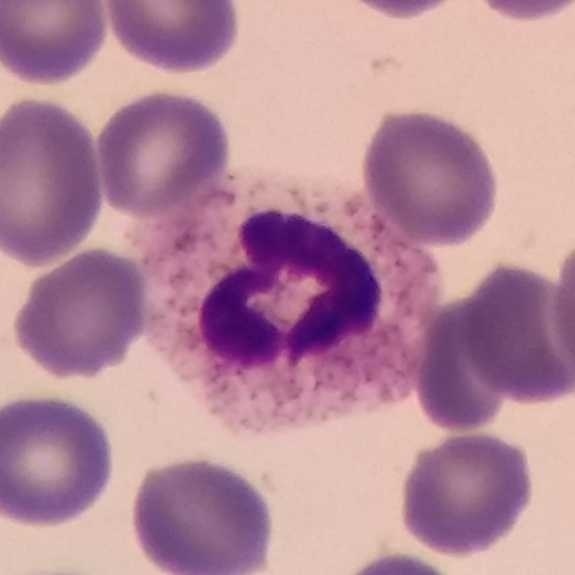 Specimen: peripheral blood smear.
Morphological class: neutrophil.